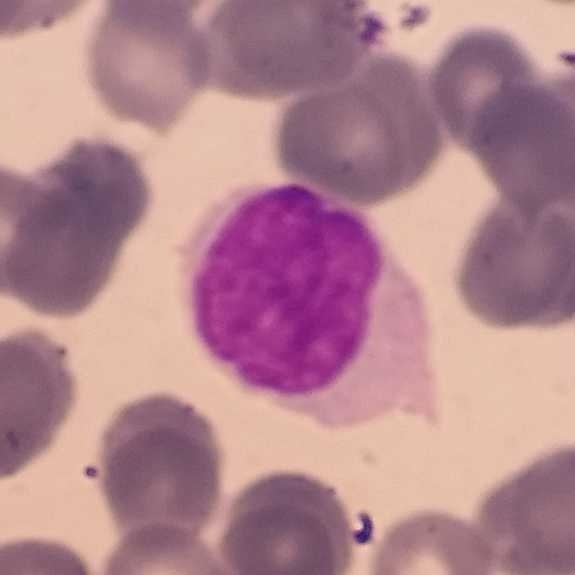
Specimen: peripheral blood film.
Morphological class: lymphocyte.
Lineage: lymphoid.